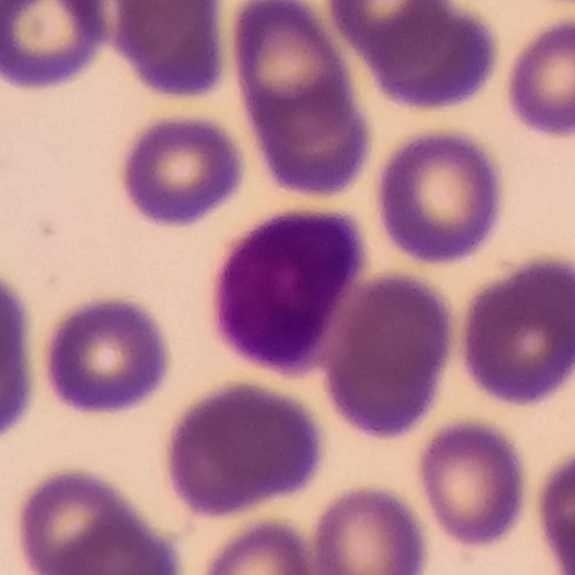
White blood cell from a peripheral blood smear: lymphocyte.